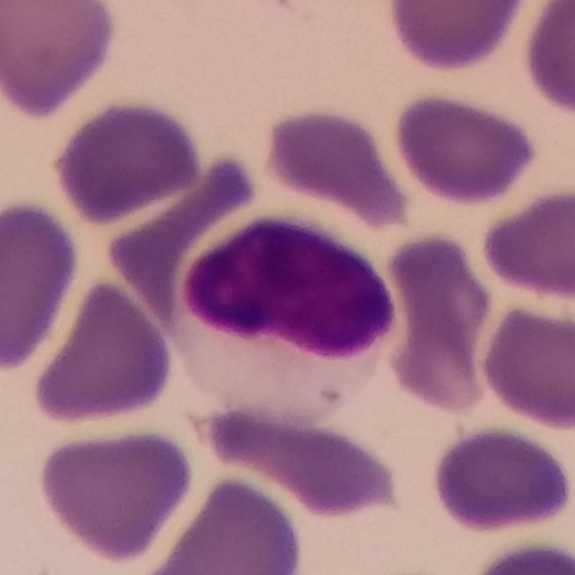Cell type — lymphocyte.